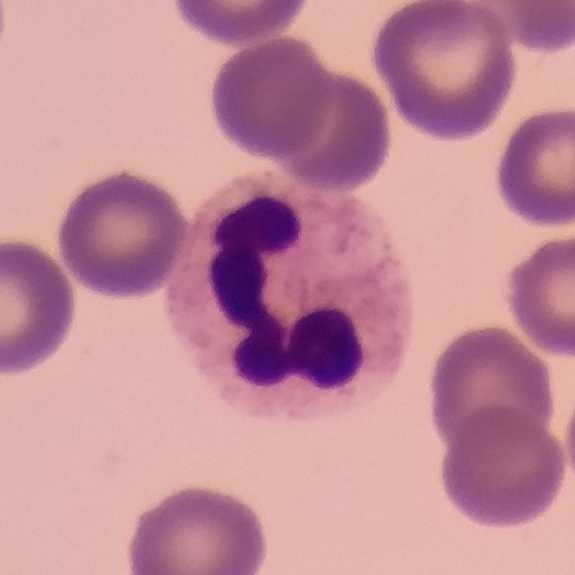
Acquisition: Peripheral blood film. Morphological class = neutrophil.